Peripheral blood film:
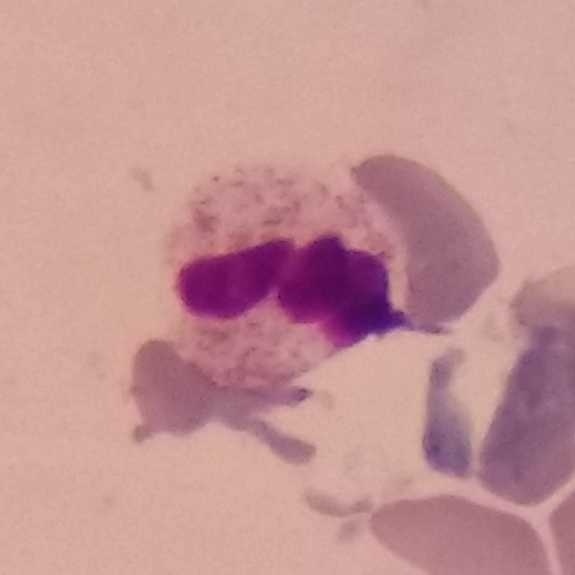

Morphological class: neutrophilic granulocyte.